Peripheral blood film:
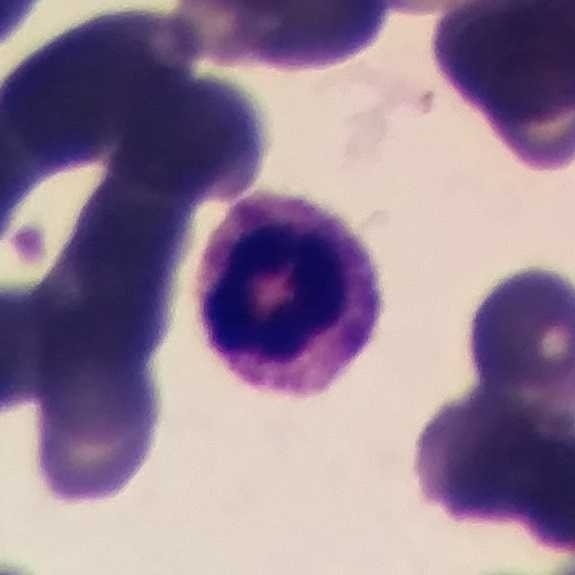Specimen: peripheral blood smear.
Cell: neutrophilic granulocyte.
Lineage: myeloid.